Peripheral blood smear: 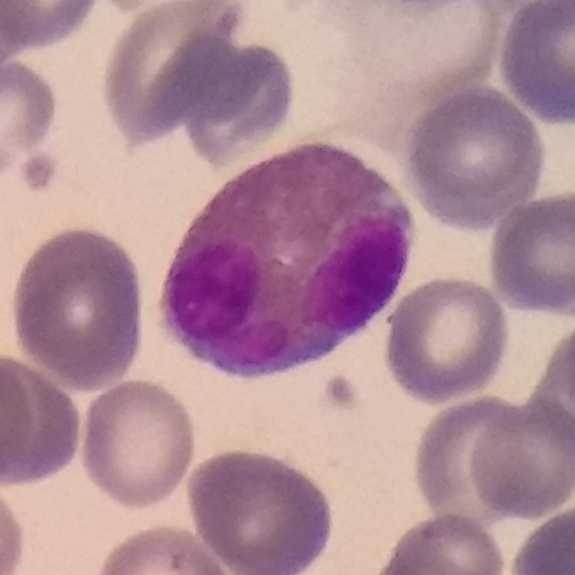 Impression — eosinophil.